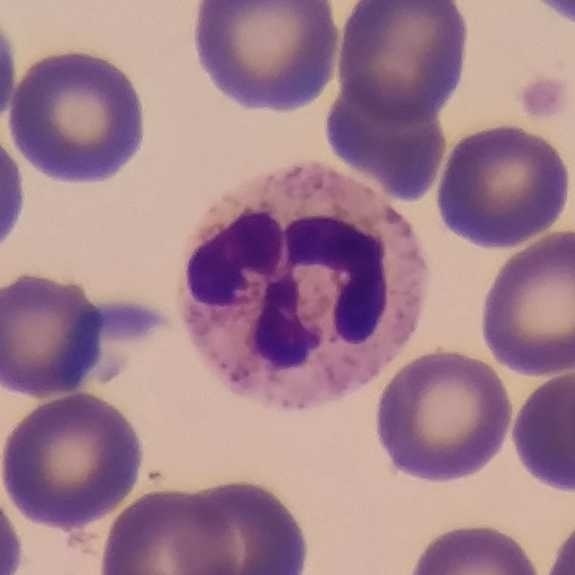
Image: Peripheral blood film.

Identified as a neutrophil granulocyte.